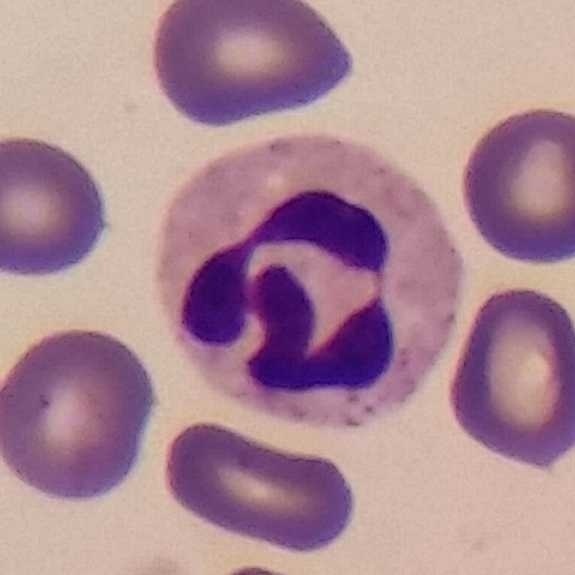

Morphological class = neutrophil granulocyte.